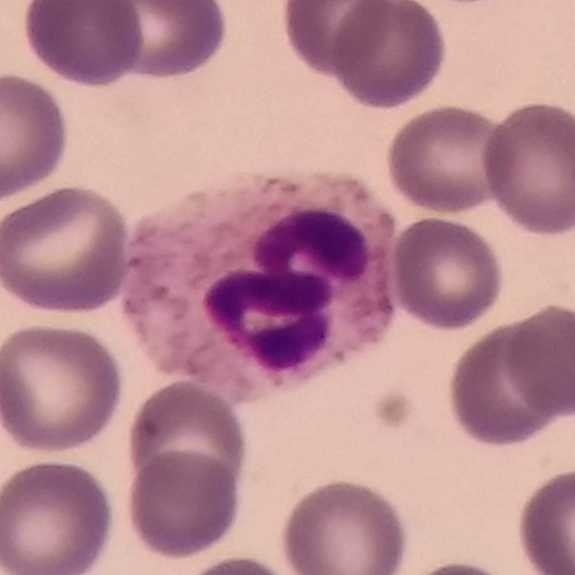575 by 575 pixels. Peripheral blood film.
Classification — neutrophilic granulocyte.